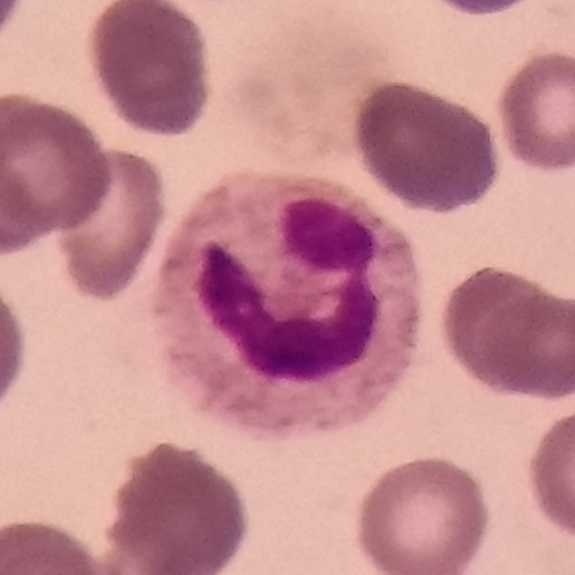
Image: Peripheral blood smear.
Q: What is this?
A: This is a neutrophilic granulocyte.